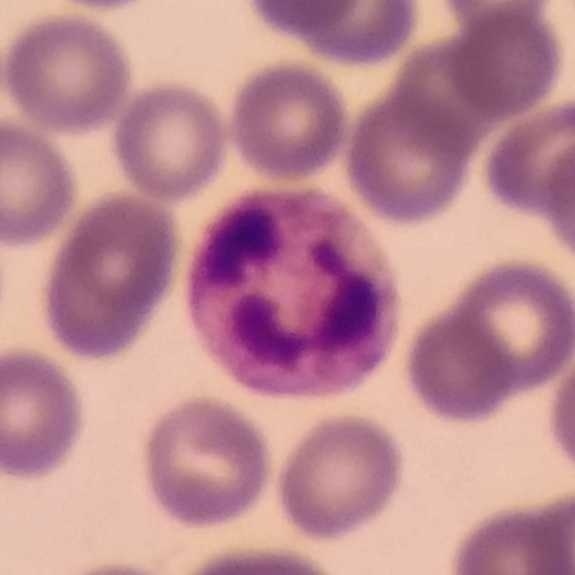Morphology consistent with a neutrophilic granulocyte. Peripheral blood film; 100× magnification.